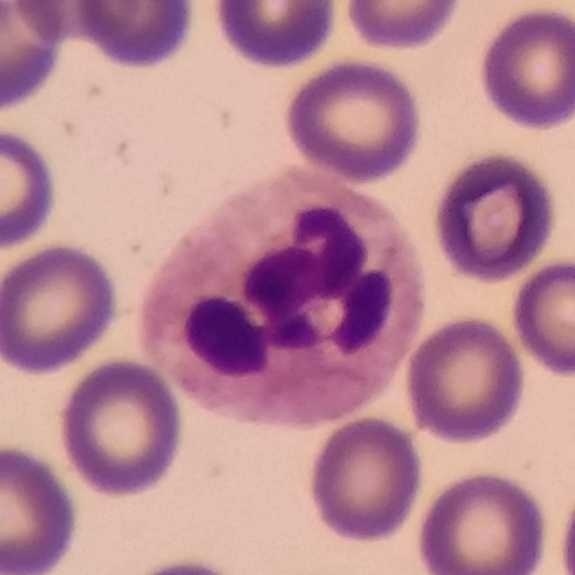
Image size 575×575 · peripheral blood smear · cropped to one leukocyte.
Showing a neutrophil.